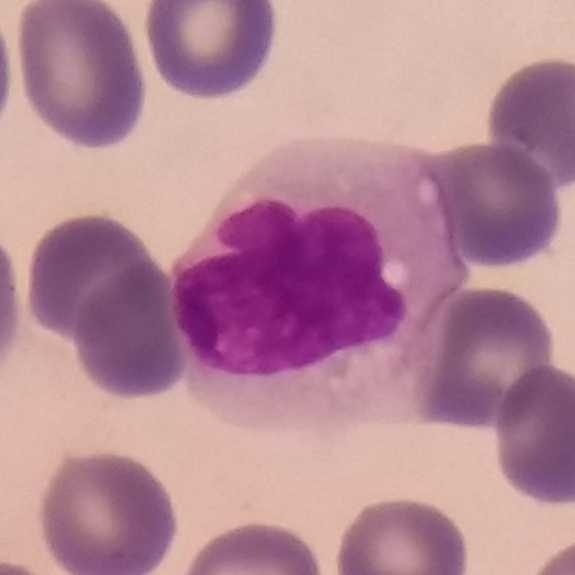Specimen: peripheral blood film.
White blood cell type: monocyte.
Lineage: myeloid.